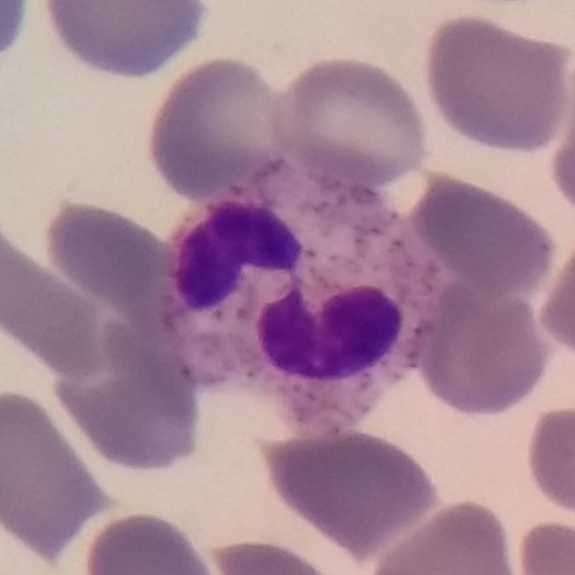Preparation: Photographed through a light microscope with a smartphone camera · peripheral blood film.

Neutrophilic granulocyte.